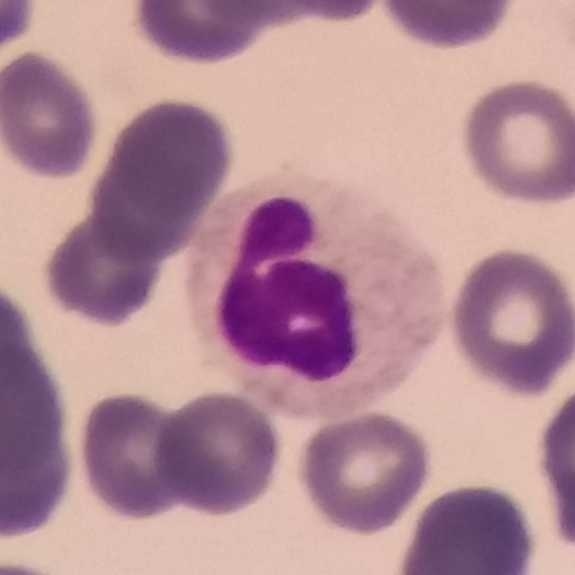 {"cell_type": "neutrophilic granulocyte", "lineage": "myeloid"}